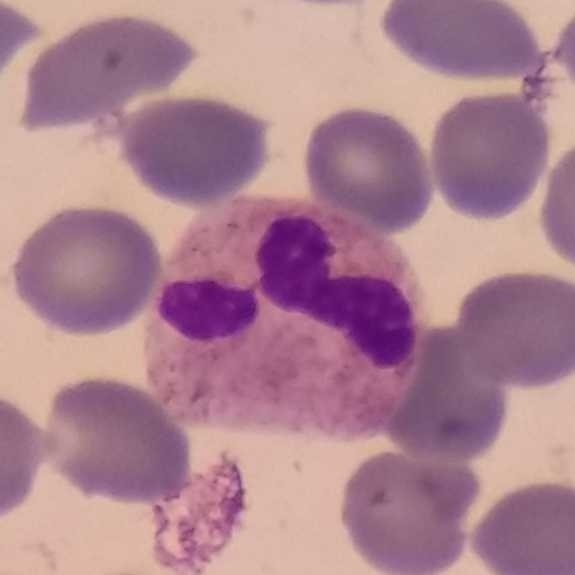 Showing a neutrophilic granulocyte.